Peripheral blood smear: 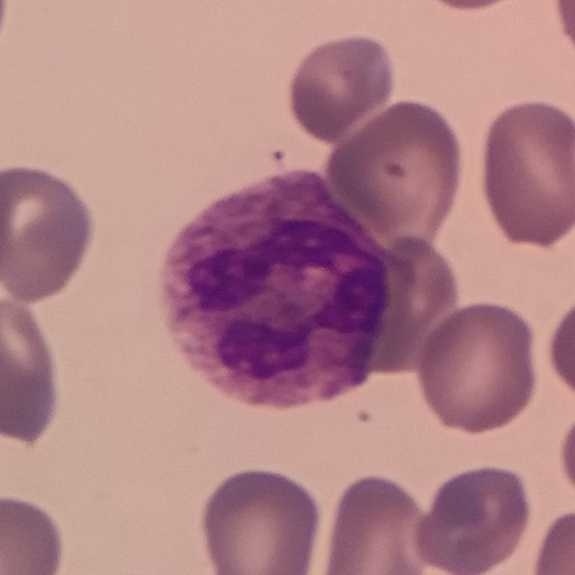

Classification — neutrophil.